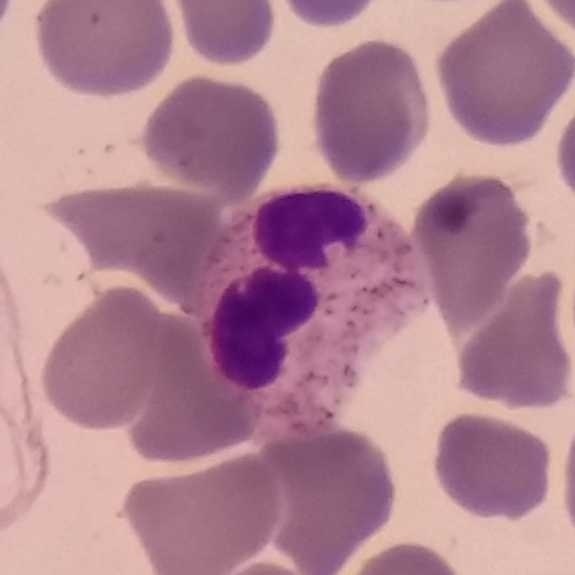 Impression → neutrophil granulocyte.